Peripheral blood smear: 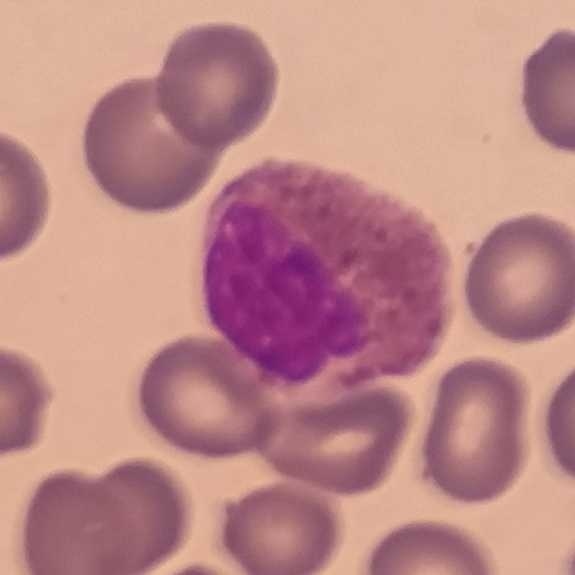

Q: What is this?
A: It is an eosinophilic granulocyte.